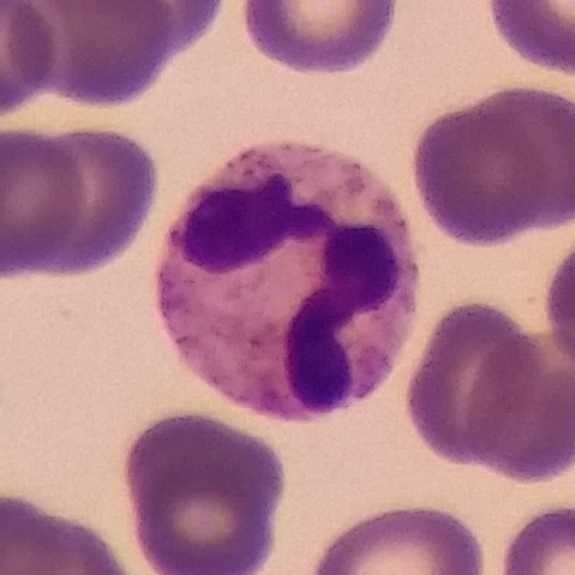
Specimen: peripheral blood film.
Morphological class: neutrophil granulocyte.
Lineage: myeloid.